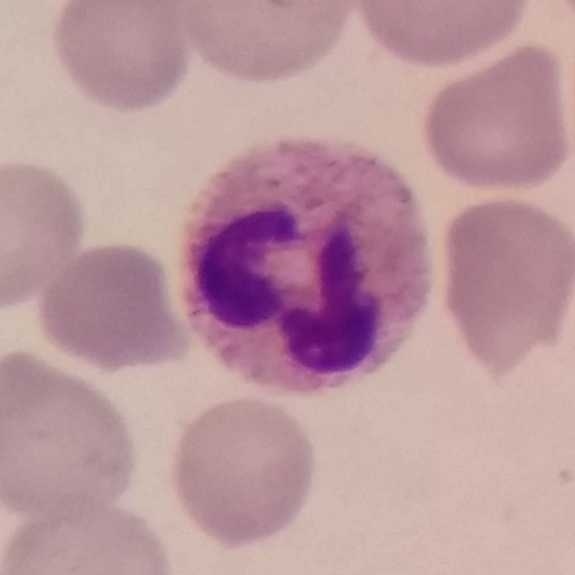
Acquisition: Peripheral blood film · single-cell field.
Cell — neutrophilic granulocyte.